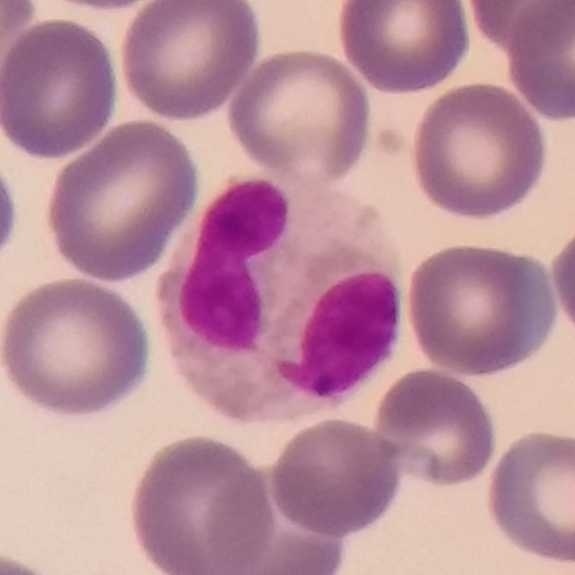 Image: 100× magnification.

Specimen: peripheral blood smear.
White blood cell type: eosinophilic granulocyte.
Lineage: myeloid.